Peripheral blood smear
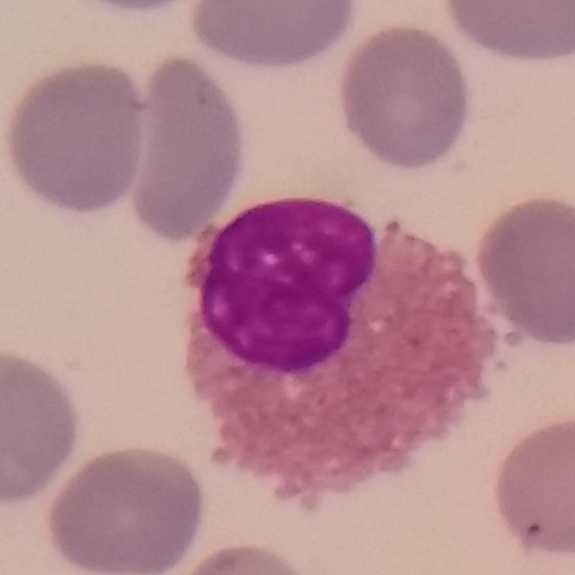Eosinophilic granulocyte.